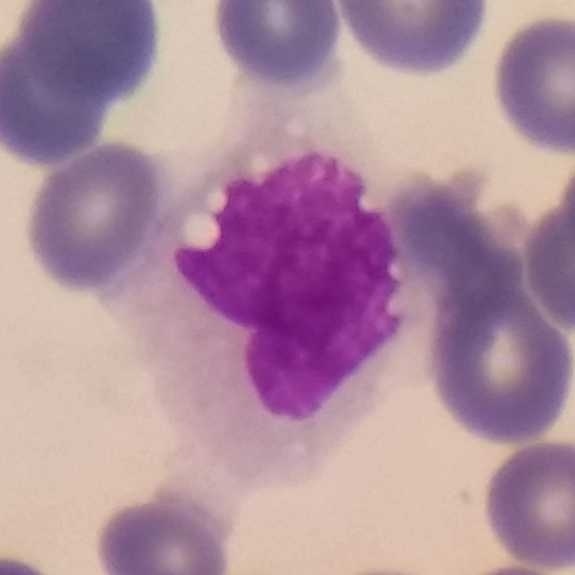Identified as a monocyte.

Context: Peripheral blood smear; single white blood cell cropped from the smear photograph.